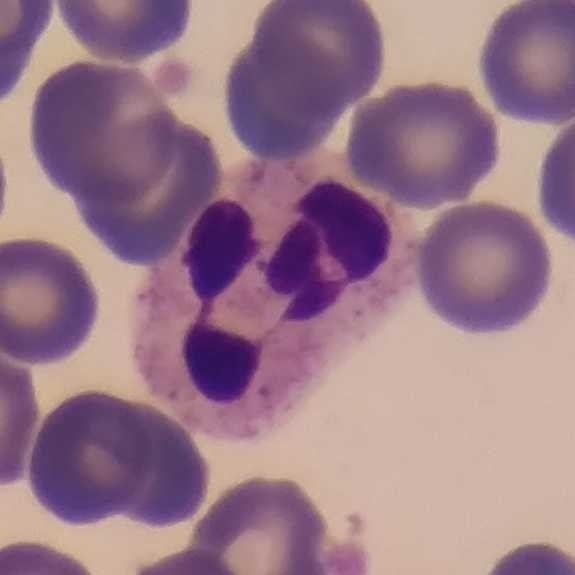 Image: 575×575 · phone-camera image taken through the microscope ocular · peripheral blood film.
Neutrophil granulocyte.